Single white blood cell cropped from the smear photograph. Peripheral blood film — 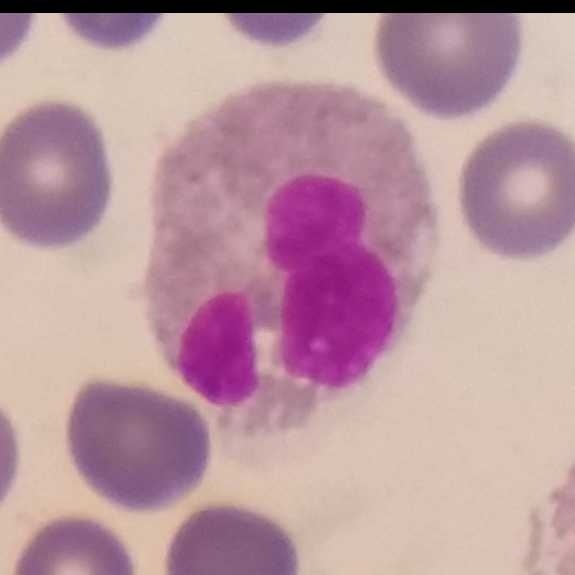

Classification = eosinophil.